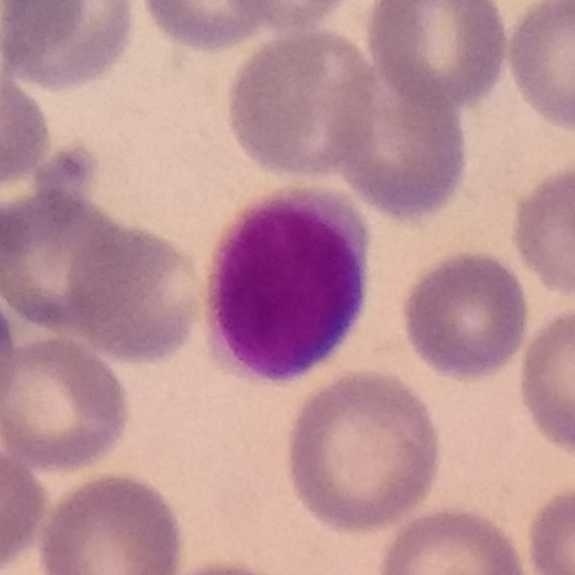
Impression — lymphocyte.